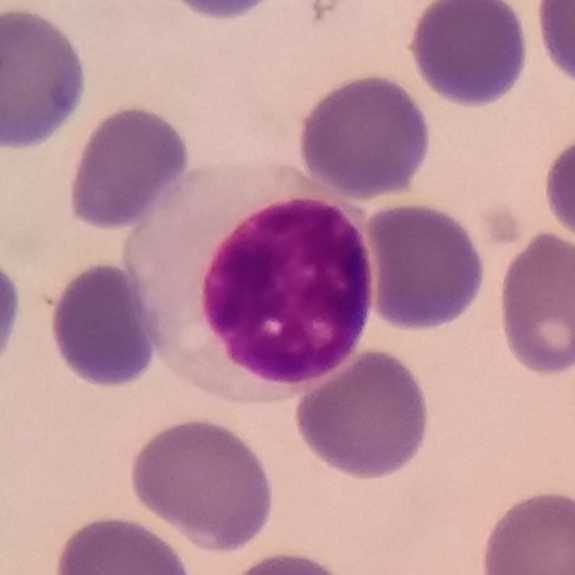 Preparation: Peripheral blood film.
Lymphocyte.